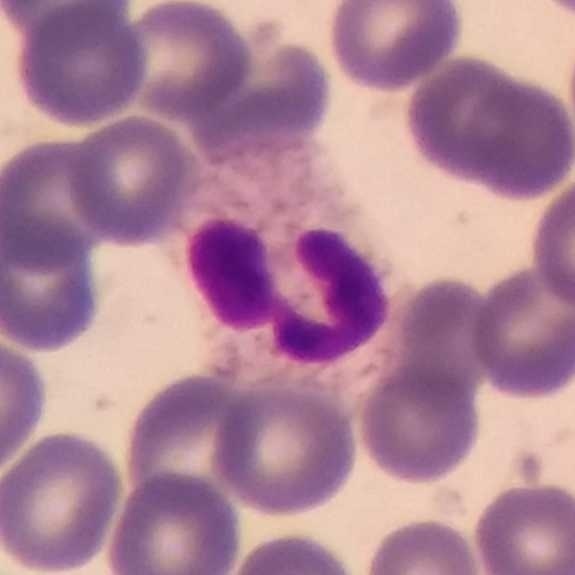 Image: Peripheral blood smear.
Cell type — neutrophilic granulocyte.